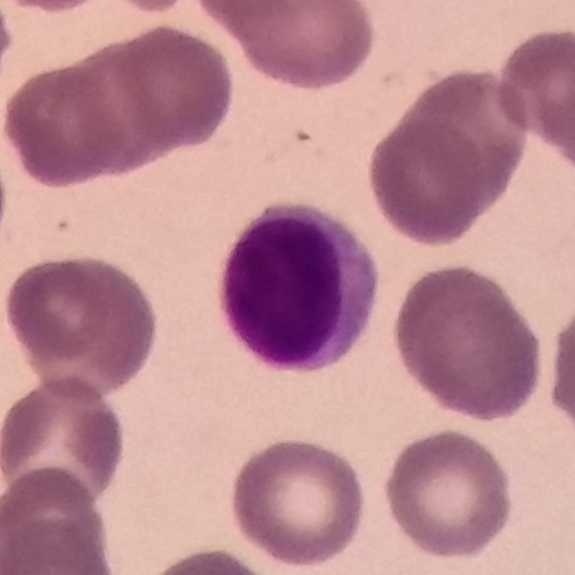

A lymphocyte.